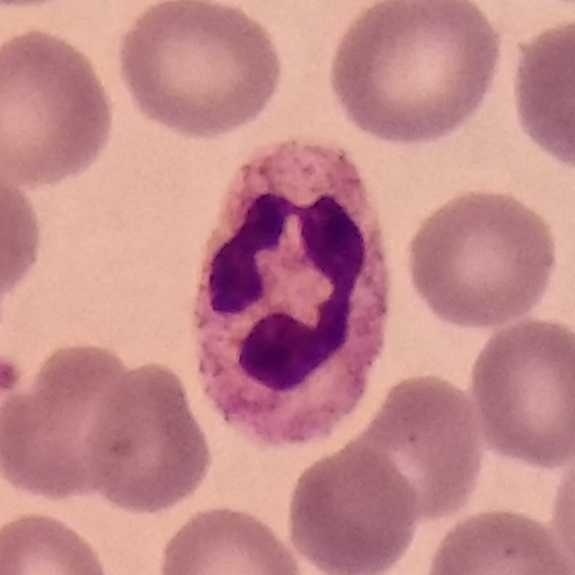A neutrophil.

Context: Peripheral blood smear. Cropped to one leukocyte.